Peripheral blood smear; imaged at 100×:
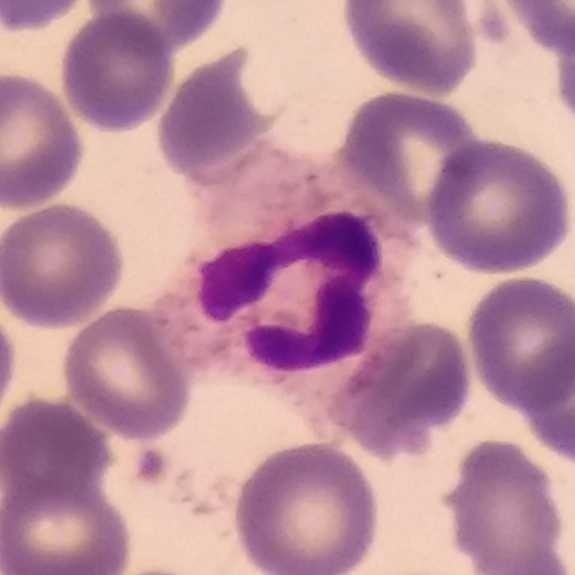The cell shown is a neutrophil granulocyte.